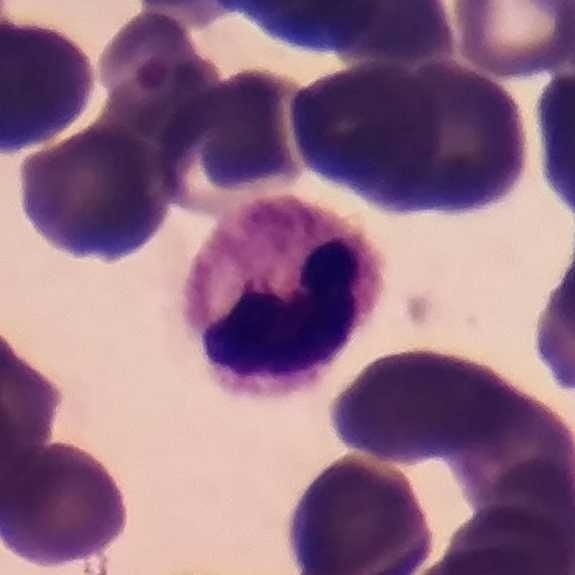

Neutrophilic granulocyte. Image: Giemsa-stained · peripheral blood film.